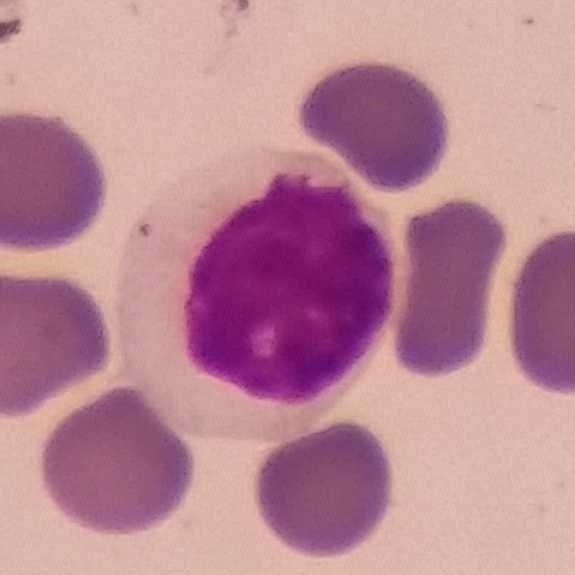 Image: Peripheral blood film; phone-camera image taken through the microscope ocular. {"cell_type": "lymphocyte", "lineage": "lymphoid"}